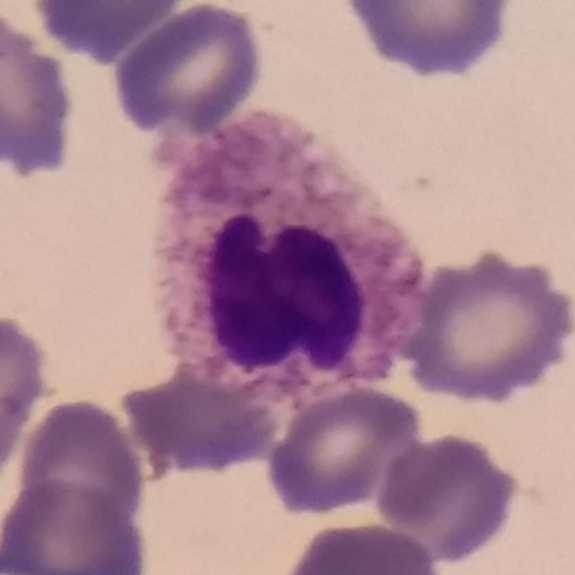Classification — neutrophilic granulocyte. Acquisition: Peripheral blood smear · magnification 100× · single-cell field.